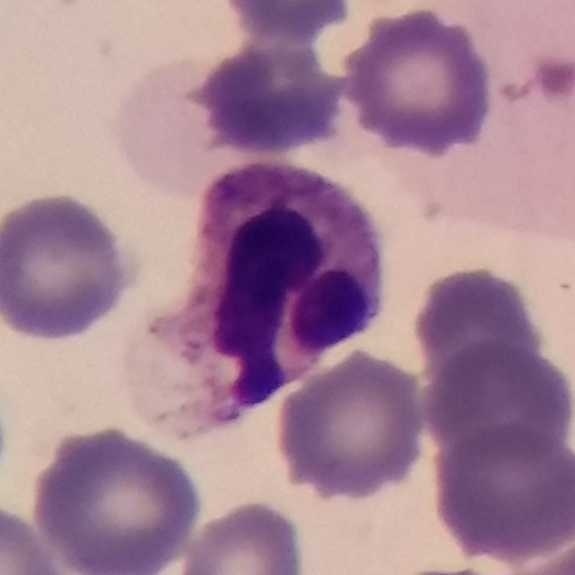 Peripheral blood smear.
Morphology — neutrophil.